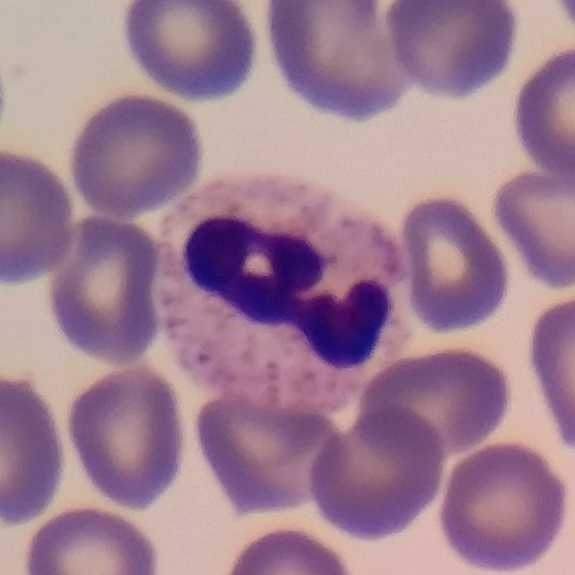 Cell: neutrophil.

Peripheral blood smear.